Magnification 100× · peripheral blood film.
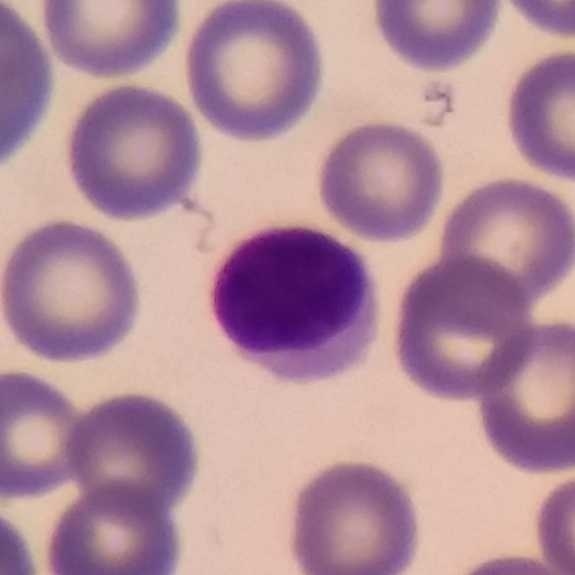
Morphology → lymphocyte.